Peripheral blood smear: 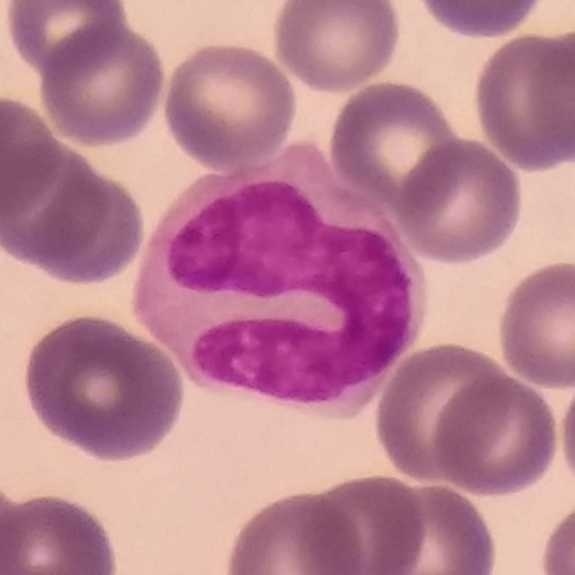Specimen: peripheral blood film.
Morphological class: monocyte.
Lineage: myeloid.